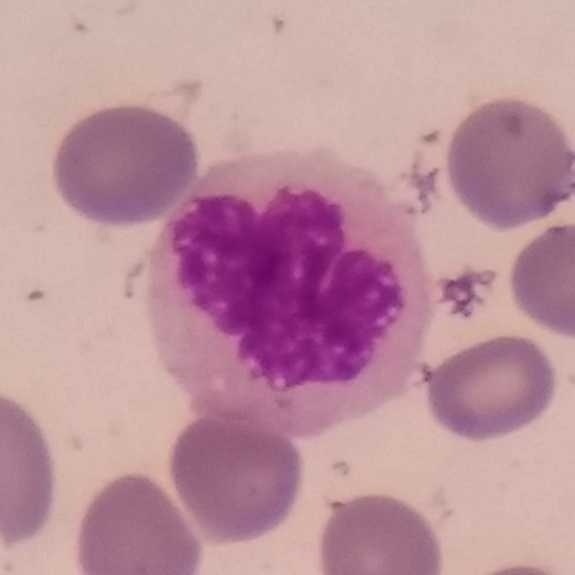Q: Which type of white blood cell is this?
A: It is a monocyte.

Acquisition: Peripheral blood smear.